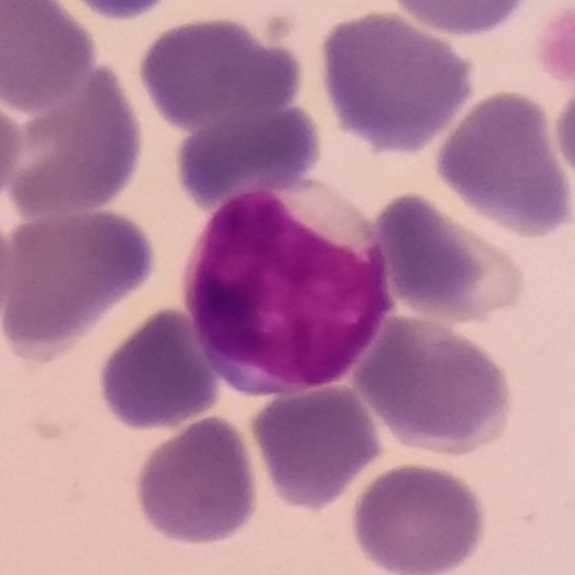

Morphology — lymphocyte.